Peripheral blood film: 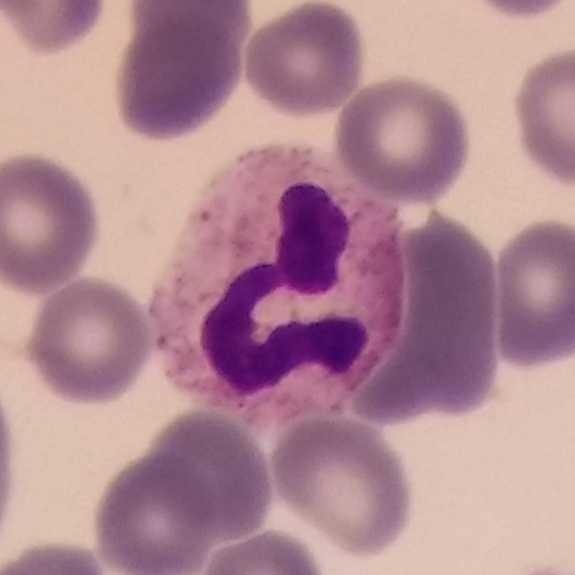

Classification — neutrophil granulocyte.